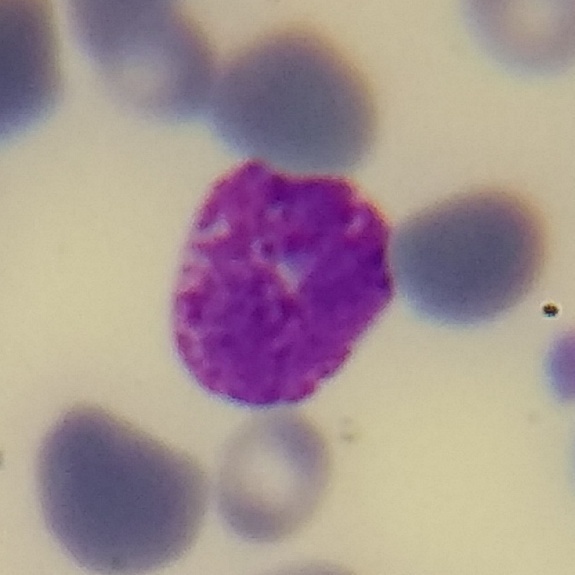Specimen: peripheral blood smear.
Cell type: basophil.
Lineage: myeloid.